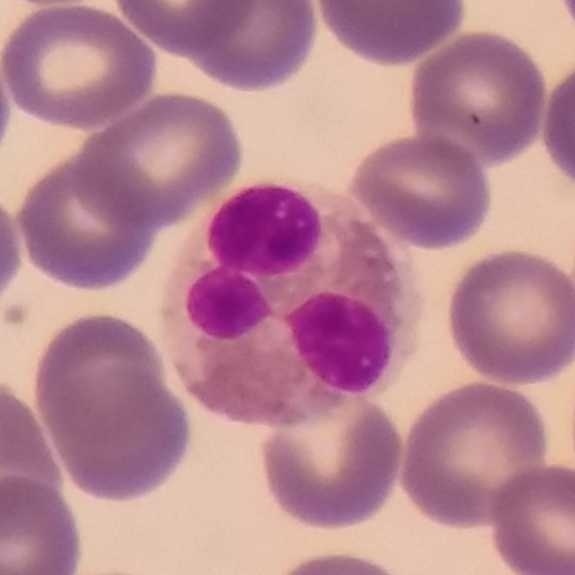

Image: Peripheral blood film. Q: What is the morphological classification of this cell?
A: It is an eosinophil.